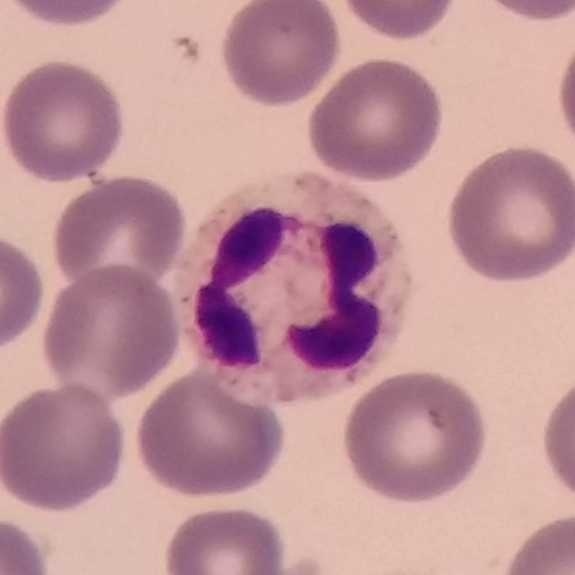
Context: Giemsa-stained · peripheral blood film · smartphone camera mounted on the microscope eyepiece.

Impression — neutrophil.